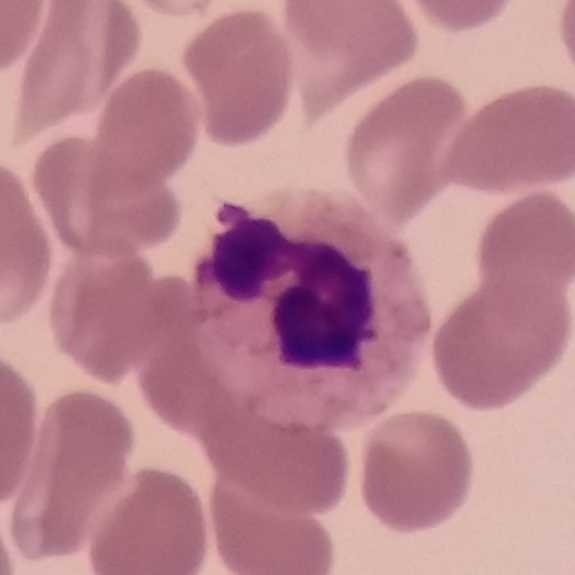 Showing a neutrophil granulocyte.
Acquisition: Peripheral blood smear.